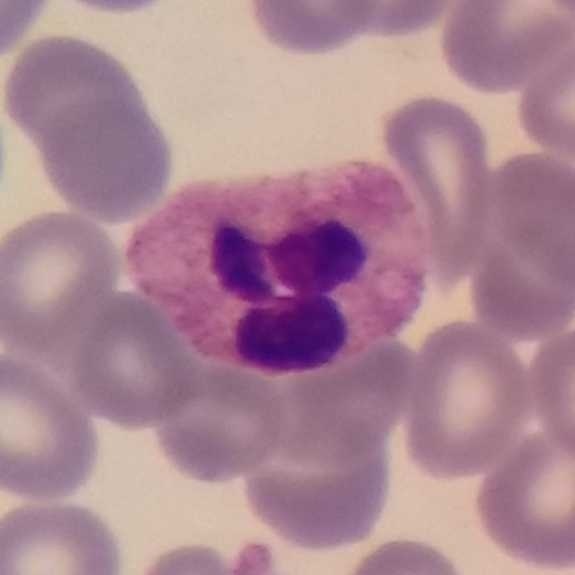
Context: Image size 575×575; 100× magnification; peripheral blood smear.

This is a neutrophil granulocyte.